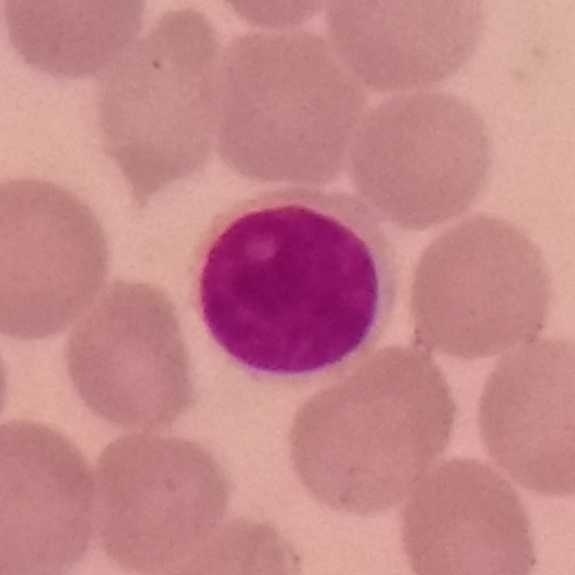

Cell type: lymphocyte. Image: Peripheral blood smear.